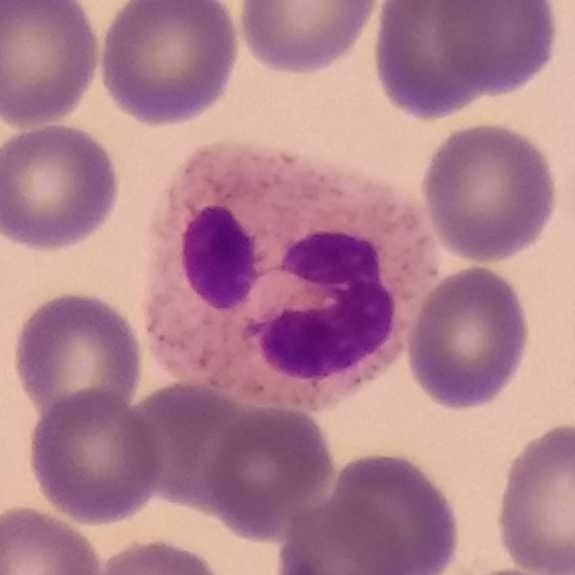
Q: What type of cell is this?
A: Neutrophil.

Peripheral blood film.